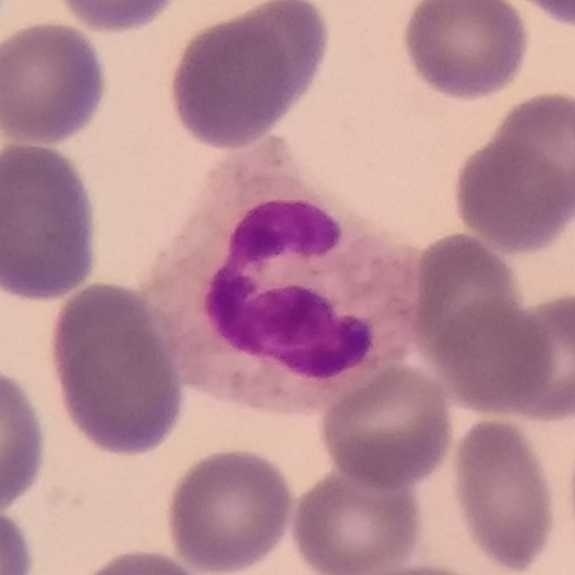The morphological class is neutrophil granulocyte.